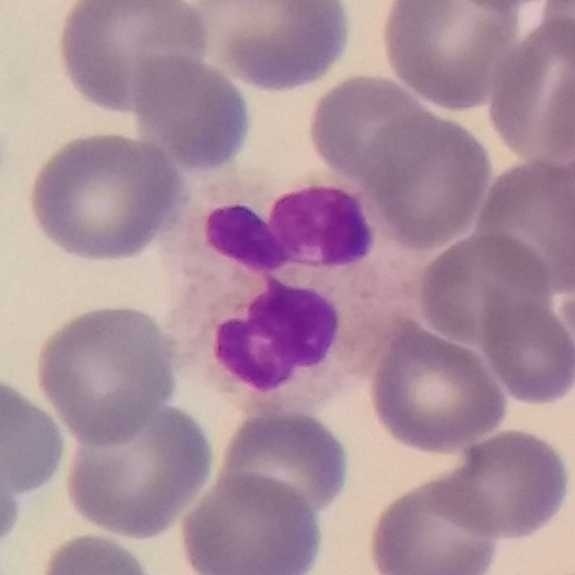Context: Single-cell crop; peripheral blood film.

Morphology — neutrophilic granulocyte.